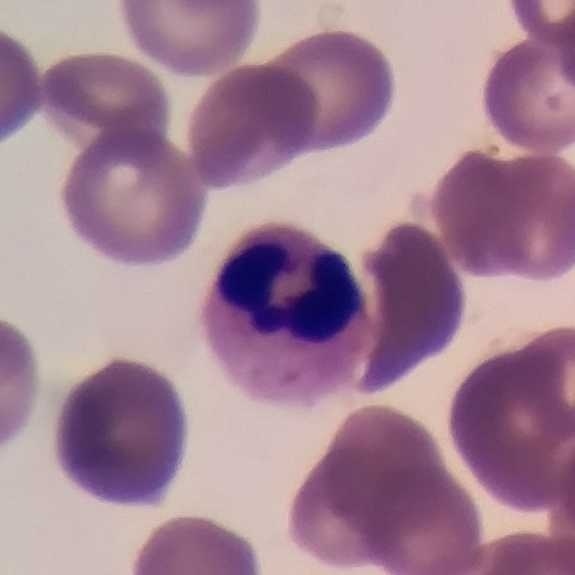Q: What is this?
A: A neutrophil. Peripheral blood smear.